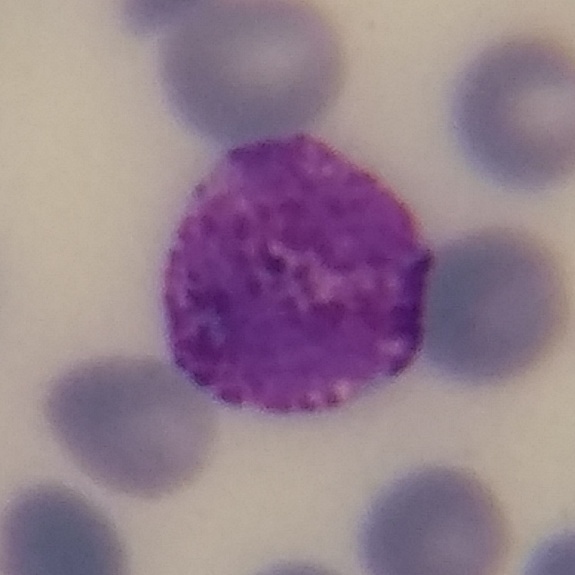 Image: Peripheral blood film.
Showing a basophil.